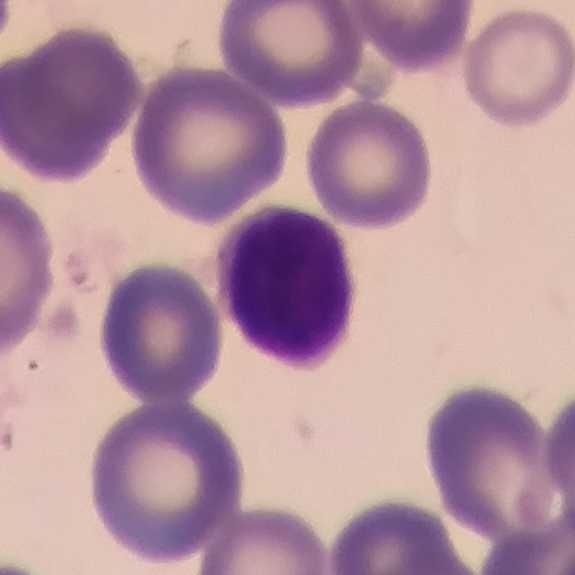
Peripheral blood film. Smartphone photomicrograph.
Q: Which type of white blood cell is this?
A: This is a lymphocyte.